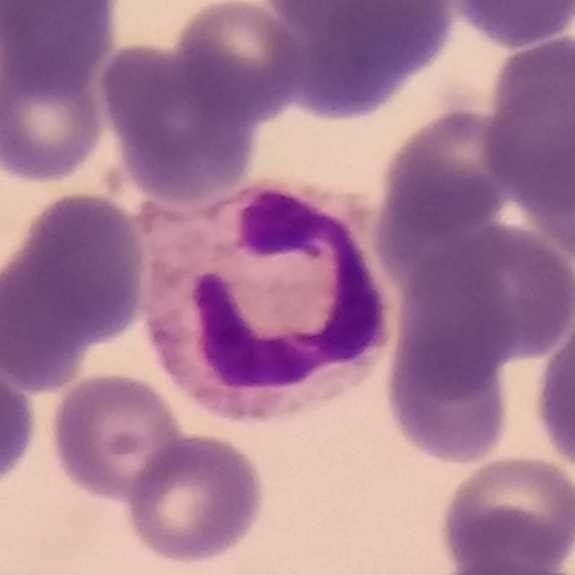 Peripheral blood smear.
Morphology — neutrophilic granulocyte.